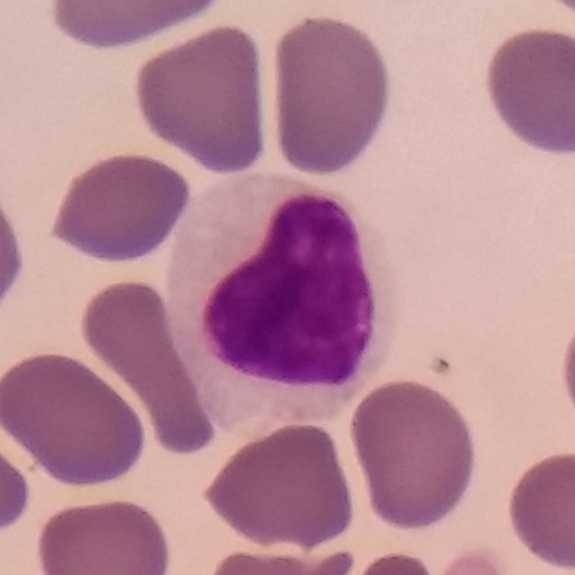

Cell: lymphocyte.